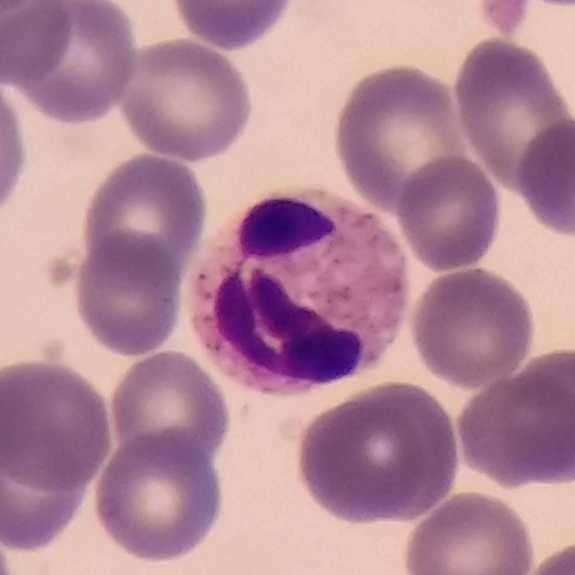

Smartphone photomicrograph; stained with Giemsa; peripheral blood film. Cell type — neutrophilic granulocyte.